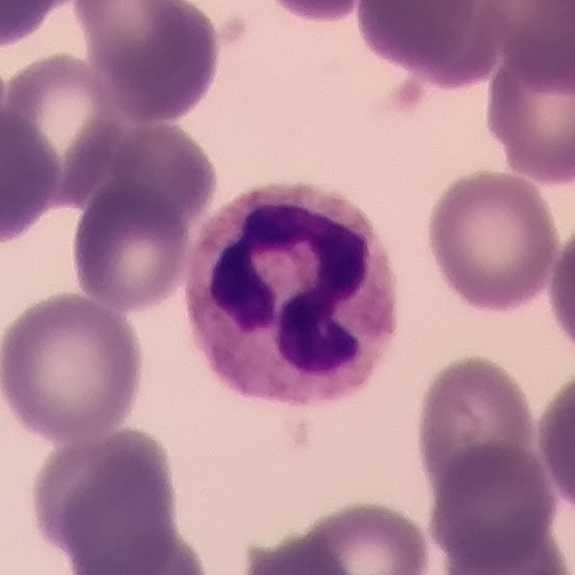
Preparation: Photographed through a light microscope with a smartphone camera. Peripheral blood film. Showing a neutrophil.